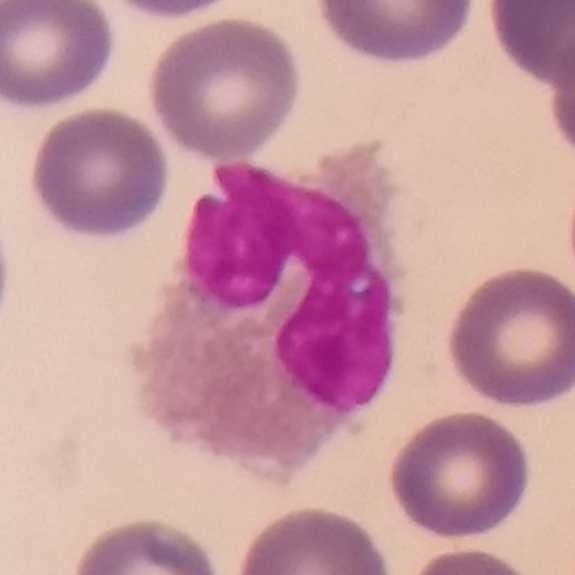The cell is eosinophilic granulocyte.
Peripheral blood smear.